Peripheral blood smear: 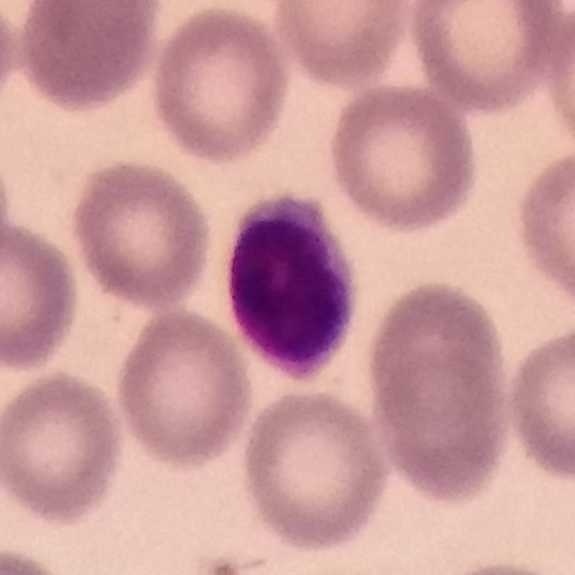

Cell type — lymphocyte.